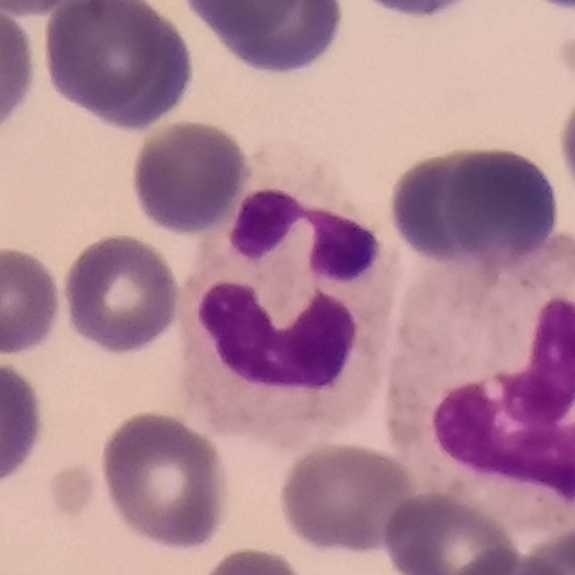 Single cell identified as a neutrophil granulocyte.